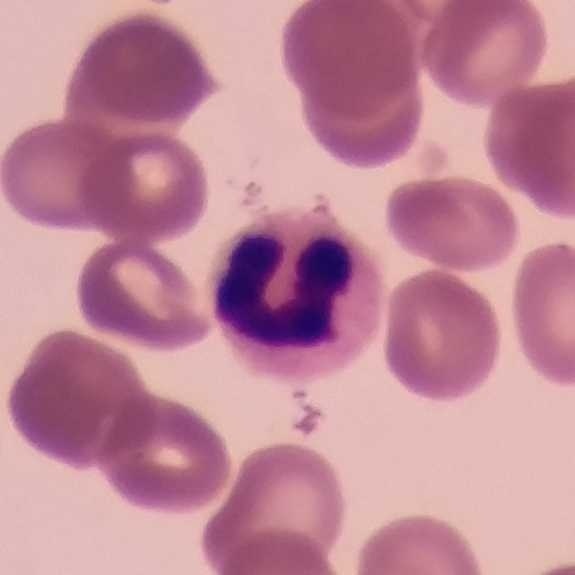
Acquisition: Peripheral blood smear.

Cell = neutrophil granulocyte.